Peripheral blood smear:
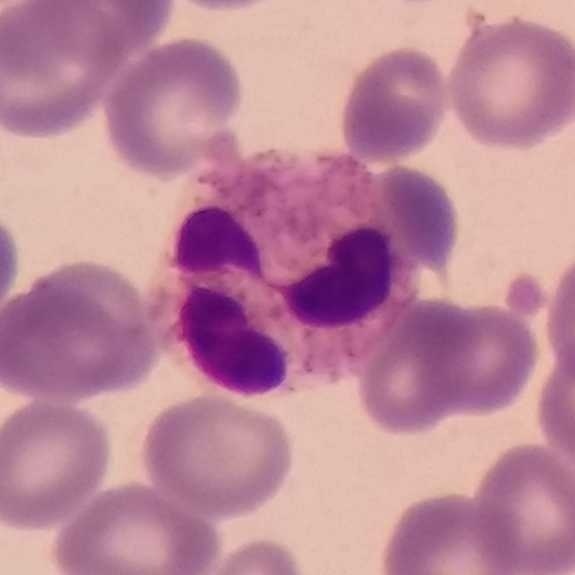
Morphological class = neutrophil granulocyte.